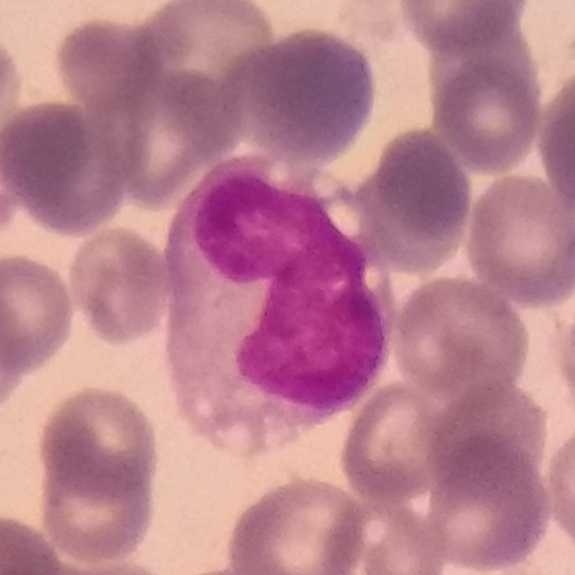

Image: Peripheral blood smear; smartphone photomicrograph; 575×575.
Morphology — monocyte.